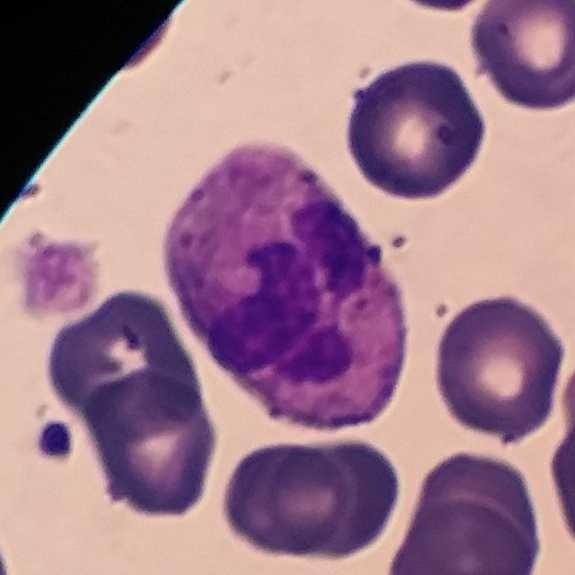
Preparation: Imaged at 100× · peripheral blood film. {"cell_type": "neutrophil granulocyte", "lineage": "myeloid"}